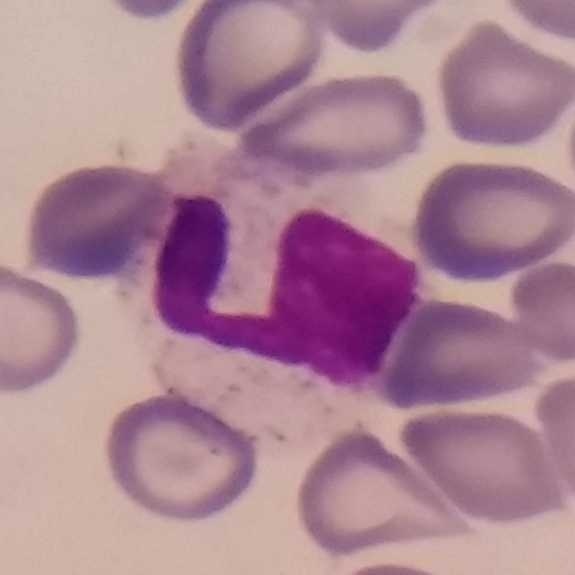

White blood cell type = neutrophil.

Context: Single-cell crop; peripheral blood smear.